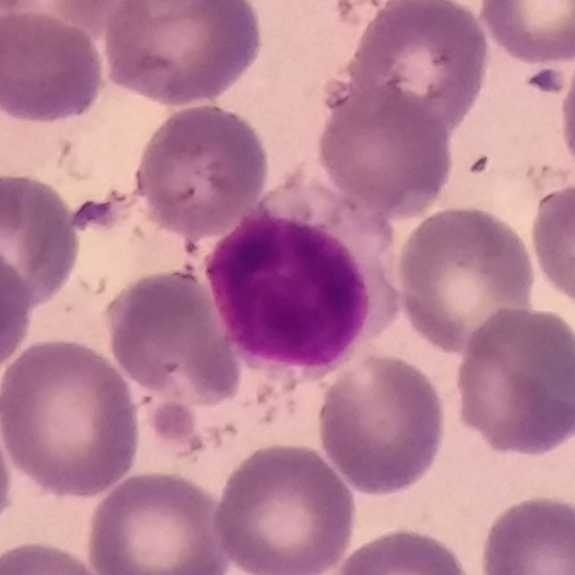
Morphological class: lymphocyte.

Context: Peripheral blood film.